Peripheral blood film · smartphone photomicrograph — 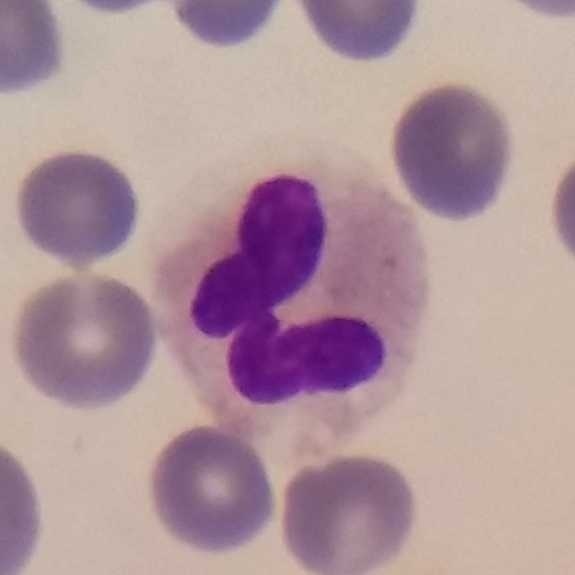 Q: What is this?
A: It is a neutrophilic granulocyte.